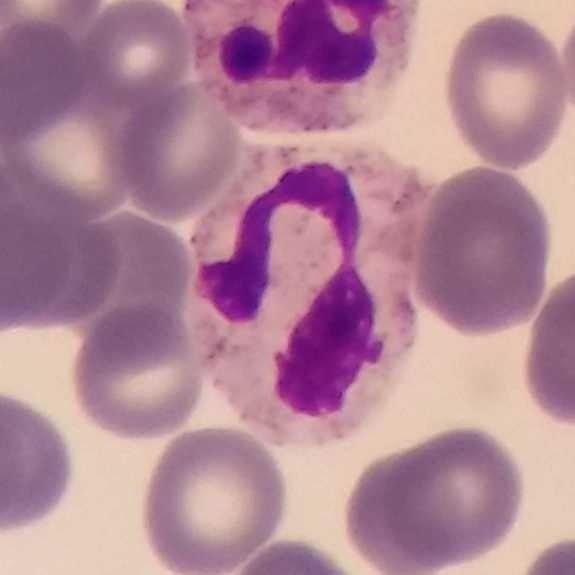 Morphological class = neutrophil.
Peripheral blood film.